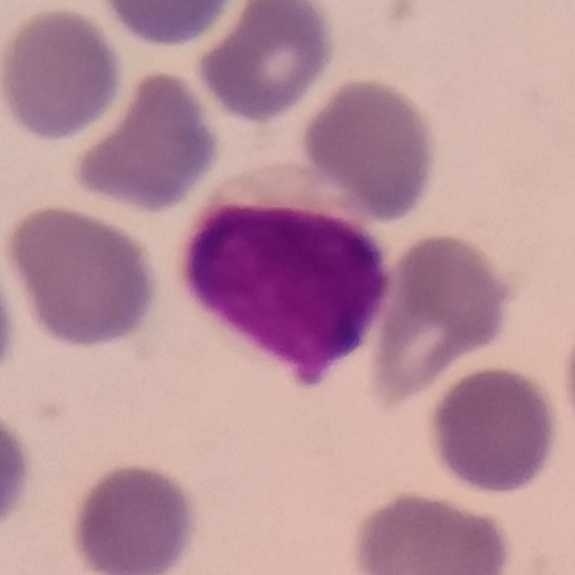 {"cell_type": "lymphocyte", "lineage": "lymphoid"}

Context: Peripheral blood smear. 575×575 px.